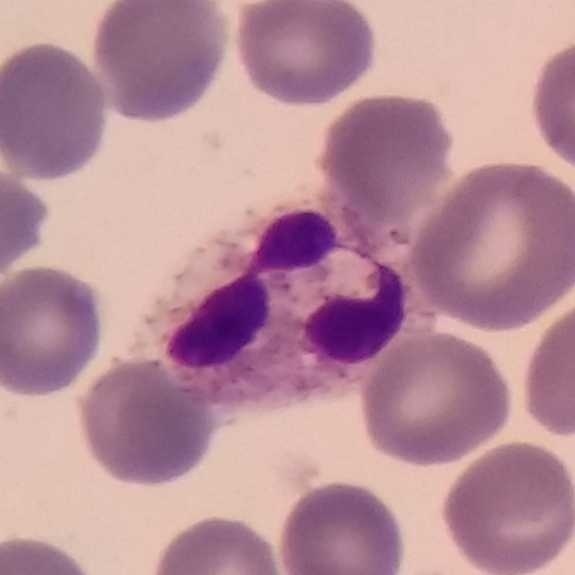
Identified as a neutrophil granulocyte.

575 by 575 pixels · stained with Giemsa · peripheral blood smear.